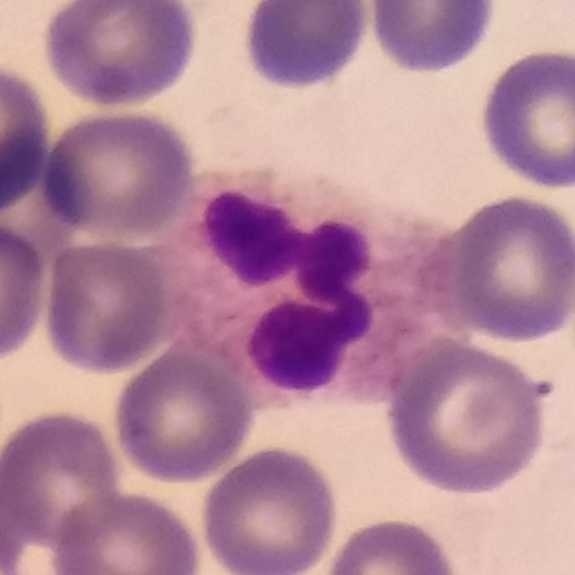
Morphology — neutrophil granulocyte. Preparation: Peripheral blood smear.